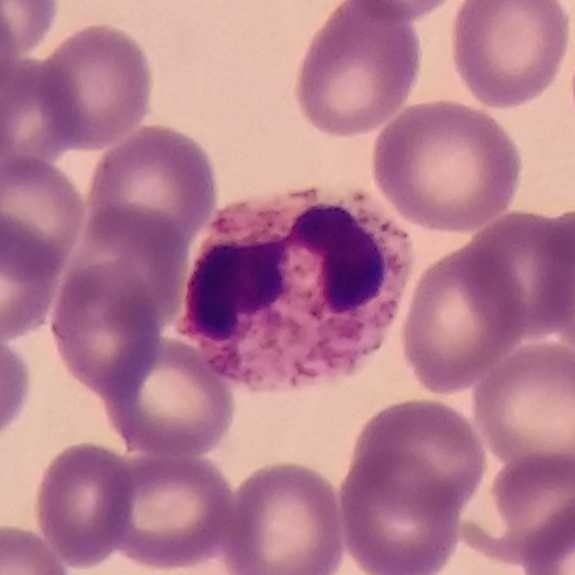
Q: Classify this leukocyte.
A: Neutrophilic granulocyte.
Image: Peripheral blood film · magnification 100× · Giemsa-stained.